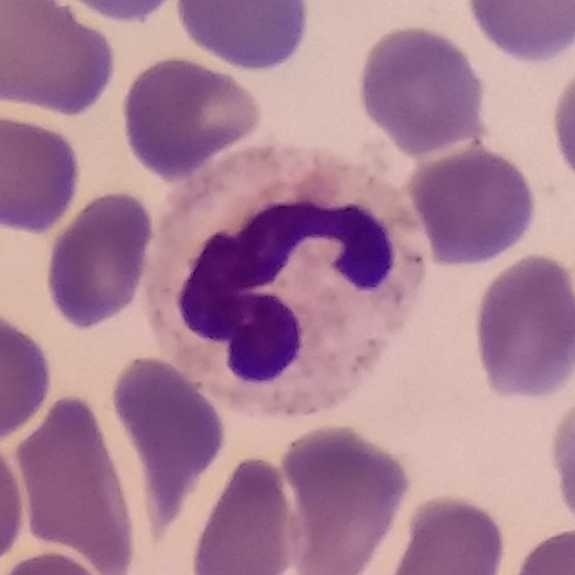 Specimen: peripheral blood film.
Classification: neutrophil.